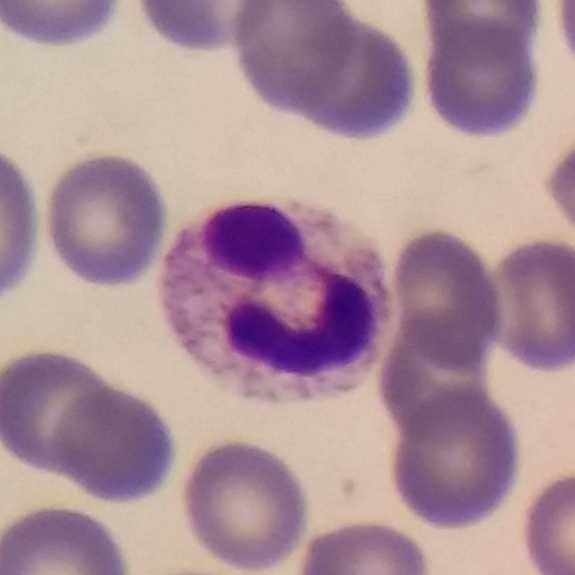
Specimen: peripheral blood smear.
Cell type: neutrophilic granulocyte.
Lineage: myeloid.